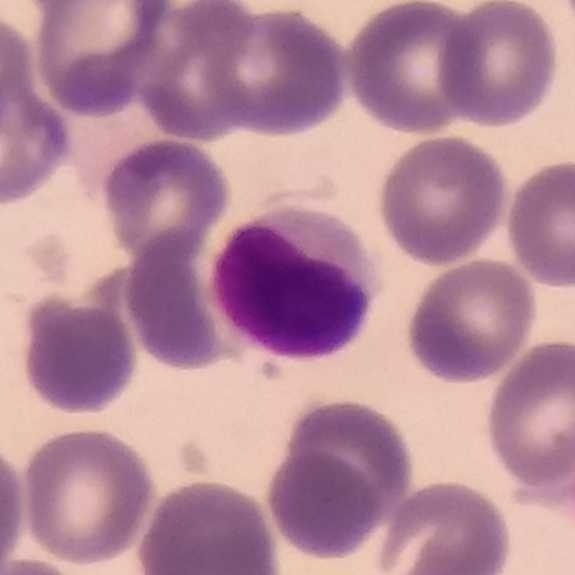White blood cell type — lymphocyte.